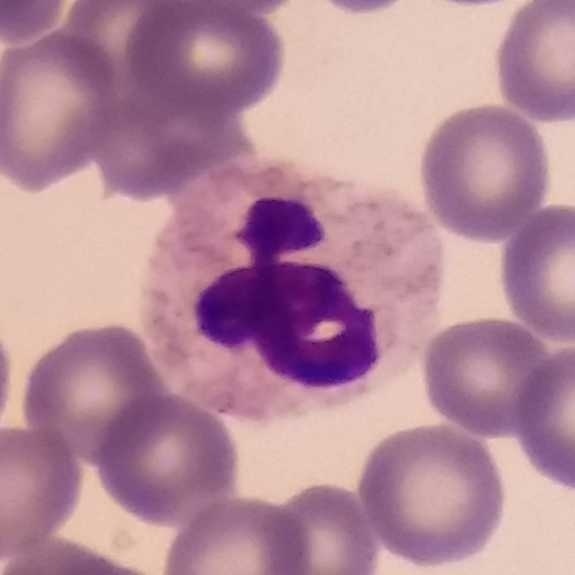
Specimen: peripheral blood film.
Morphological class: neutrophil.

Context: Giemsa stain.